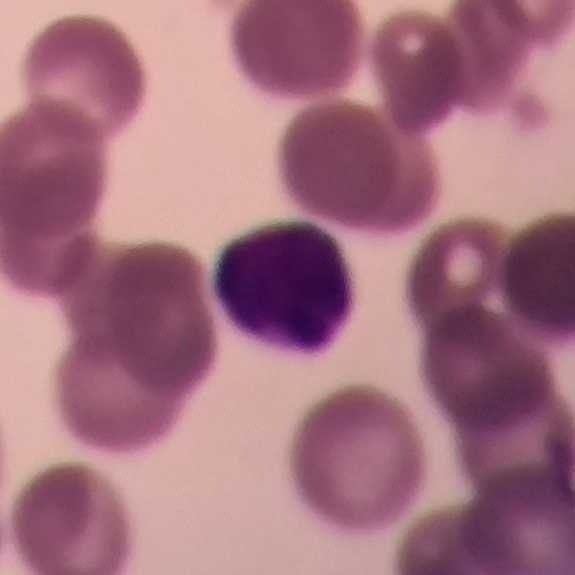

Morphological class = lymphocyte. Context: Peripheral blood film.